Peripheral blood film — 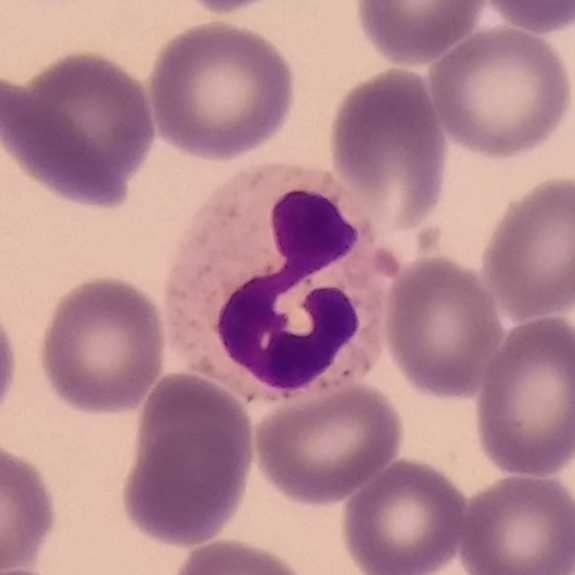

Identified as a neutrophilic granulocyte.